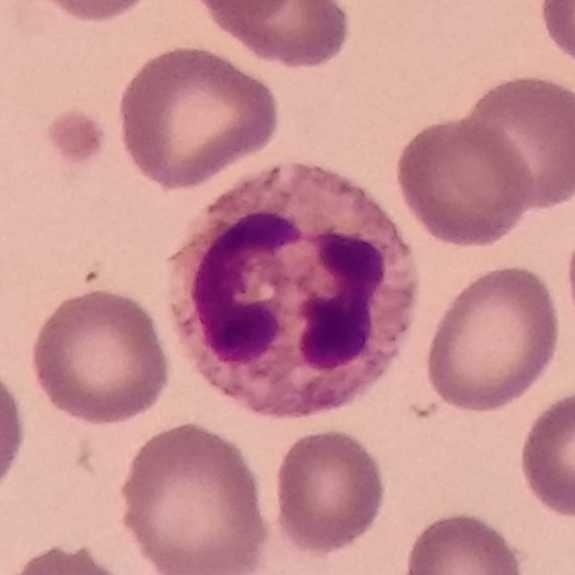

Morphology → neutrophil.
Peripheral blood film.